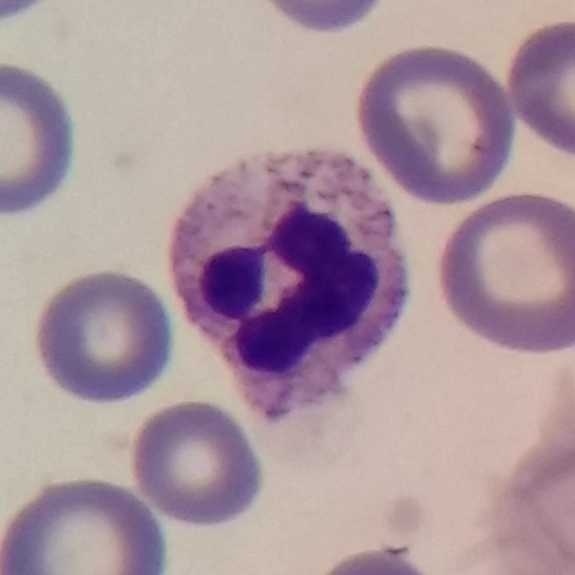
Acquisition: Peripheral blood film.

Impression — neutrophil.